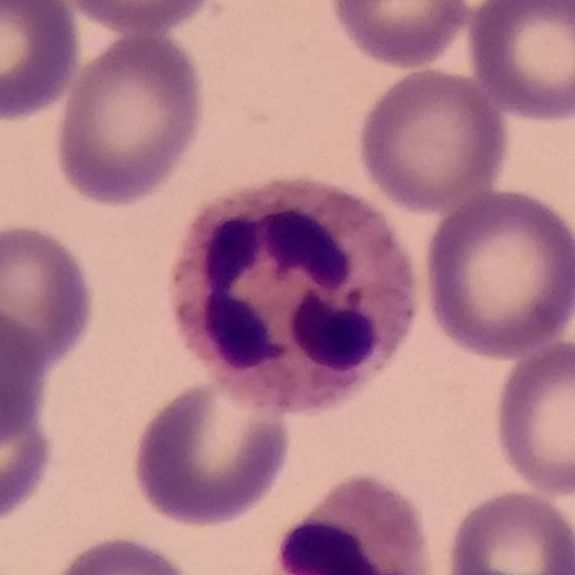

Context: Peripheral blood film. Showing a neutrophil granulocyte.